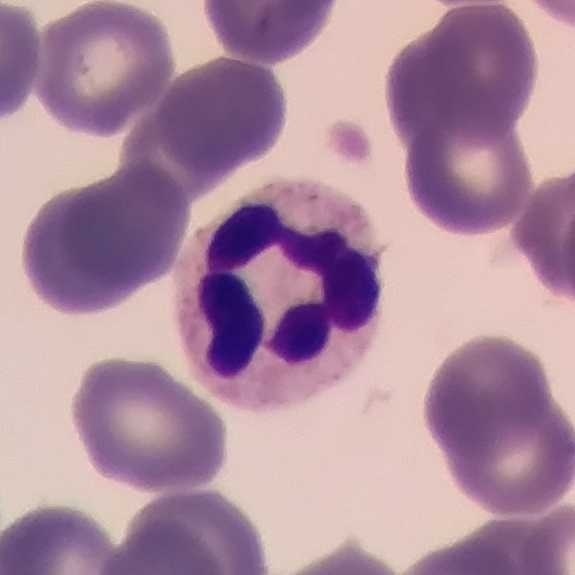A neutrophilic granulocyte.